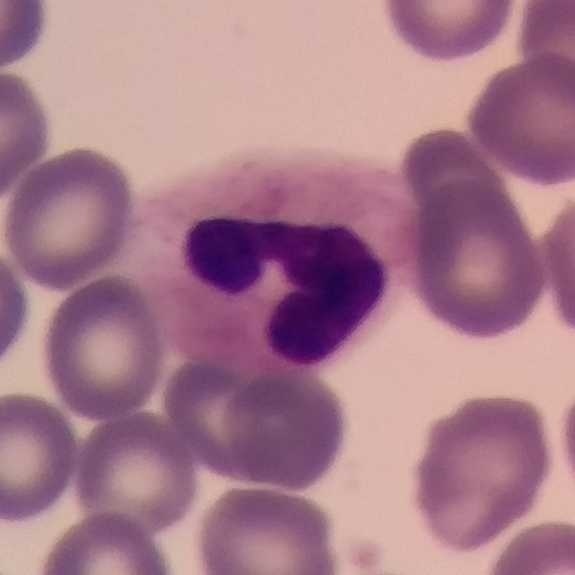Specimen: peripheral blood film.
White blood cell type: neutrophil granulocyte.